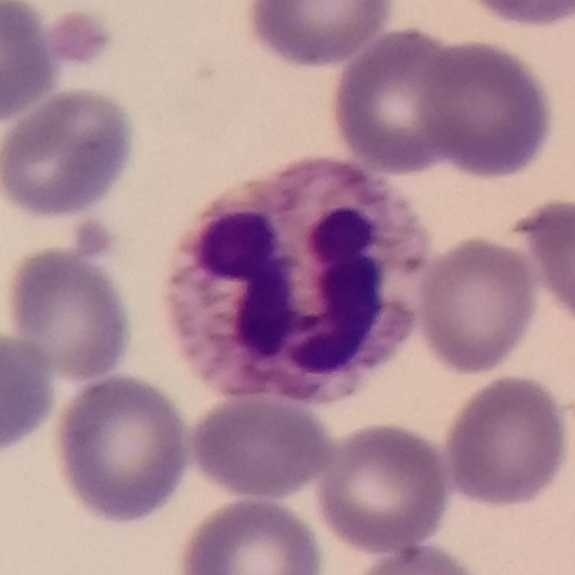 Q: What type of cell is this?
A: Neutrophil.
Acquisition: Peripheral blood film.